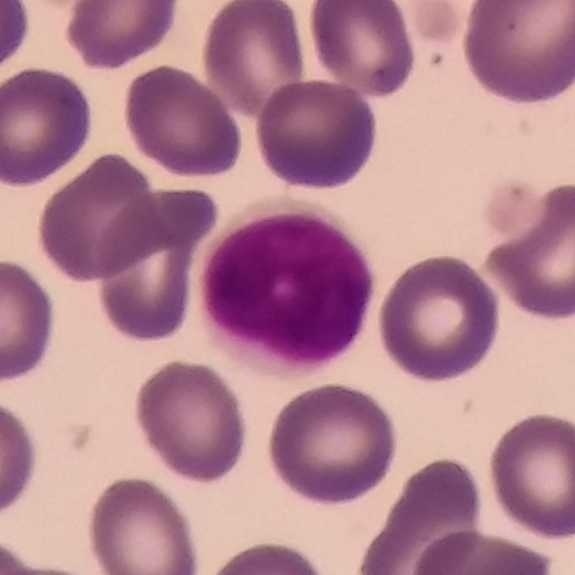 Image: Peripheral blood film. Classification = lymphocyte.